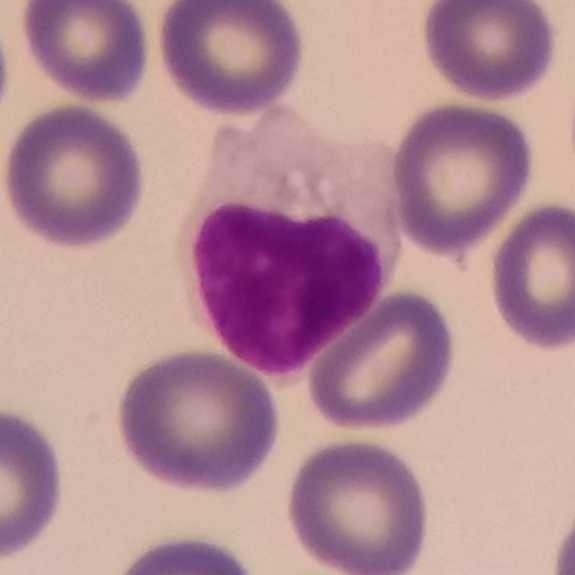

Context: Peripheral blood film; stained with Giemsa; single white blood cell cropped from the smear photograph.

Morphological class: lymphocyte.